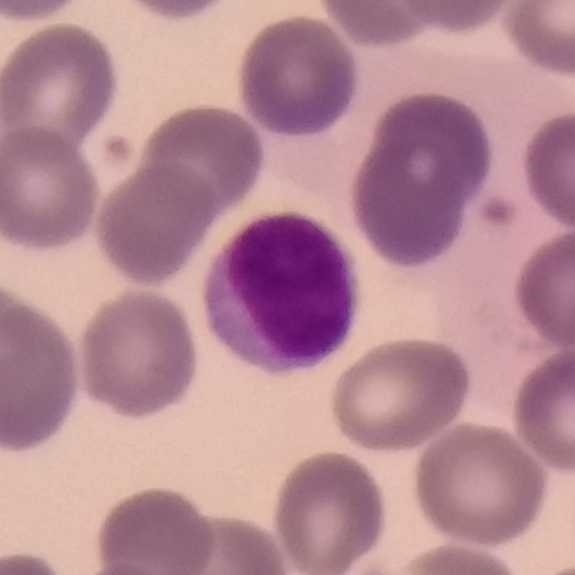Peripheral blood smear showing a lymphocyte.